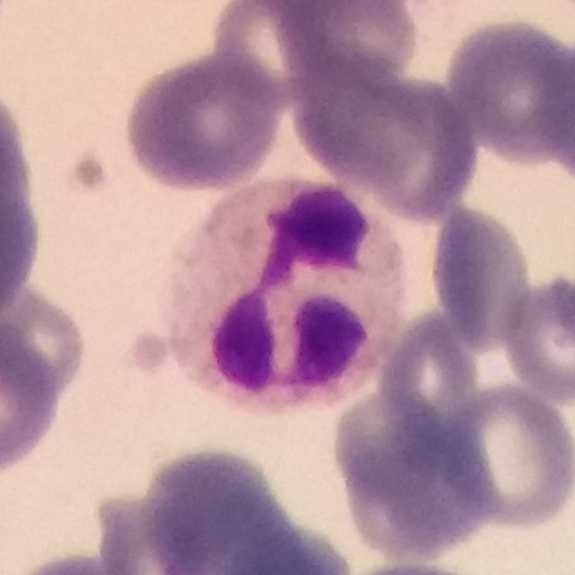 Q: Classify this leukocyte.
A: Neutrophil granulocyte.

Image: Photographed through a light microscope with a smartphone camera. Peripheral blood smear.